Peripheral blood smear — 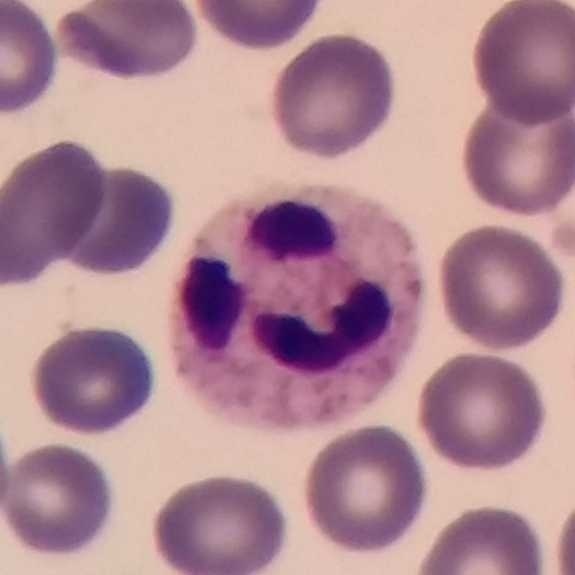Impression → neutrophil.